Peripheral blood film — 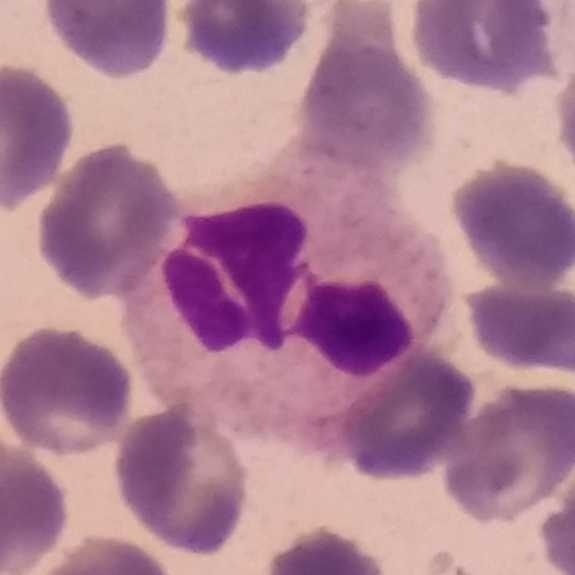 Morphology consistent with a neutrophil granulocyte.